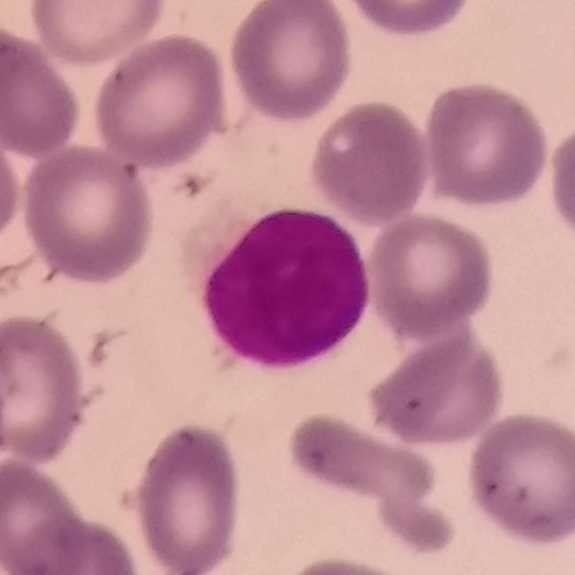Classification — lymphocyte.